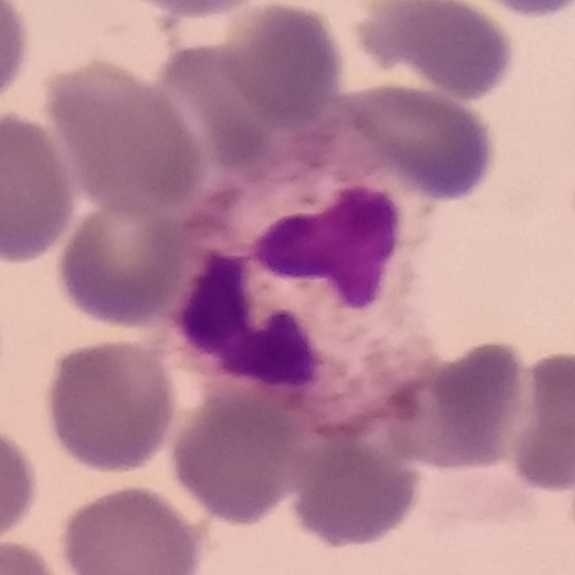Identified as a neutrophil granulocyte. Context: Peripheral blood smear.